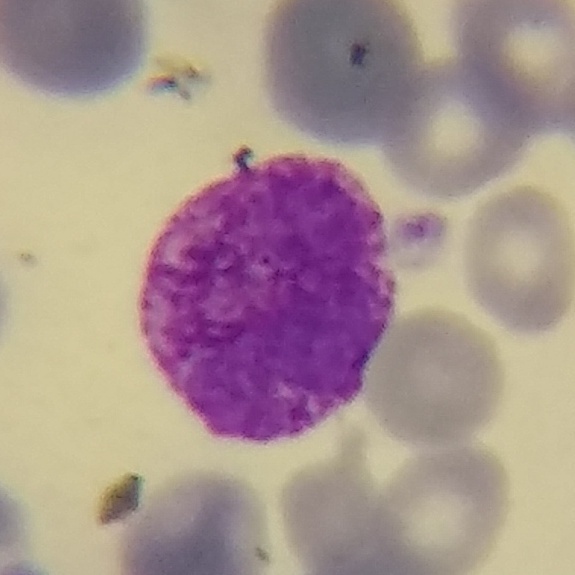This is a basophil.